Peripheral blood smear — 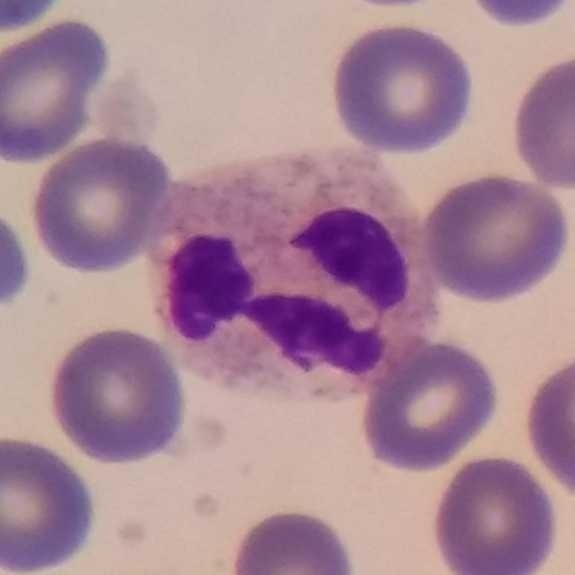Morphology consistent with a neutrophil granulocyte.